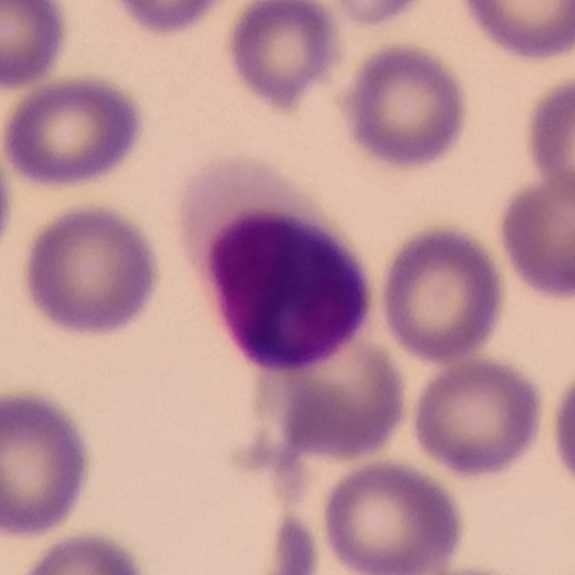 White blood cell type = lymphocyte.
Context: Peripheral blood smear.